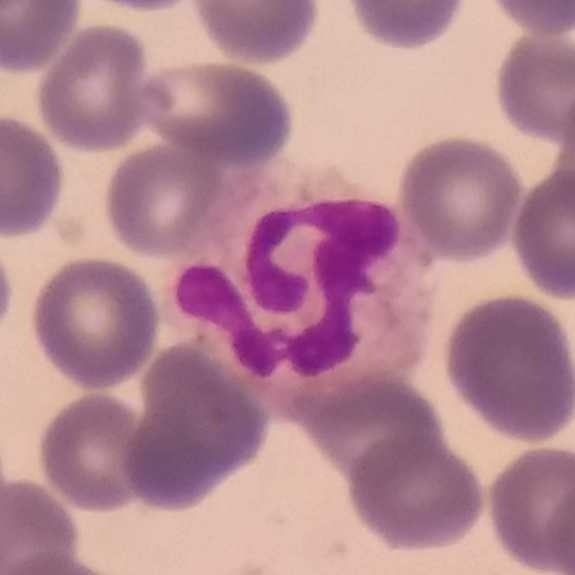
Image: Smartphone camera mounted on the microscope eyepiece. Specimen: peripheral blood film.
Morphological class: neutrophil granulocyte.
Lineage: myeloid.